575×575 · peripheral blood smear.
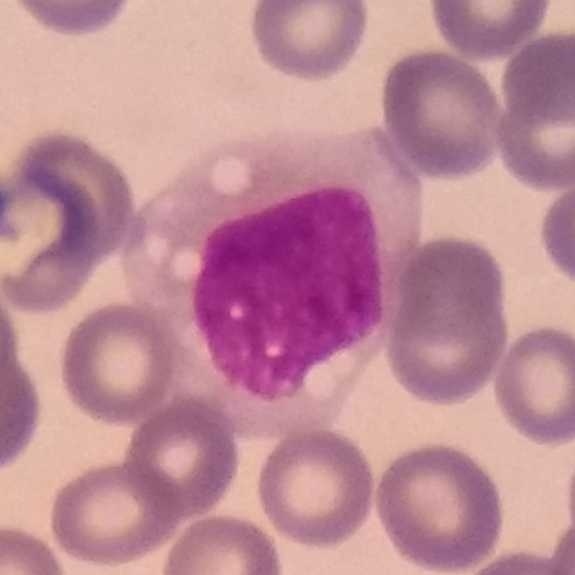Monocyte.